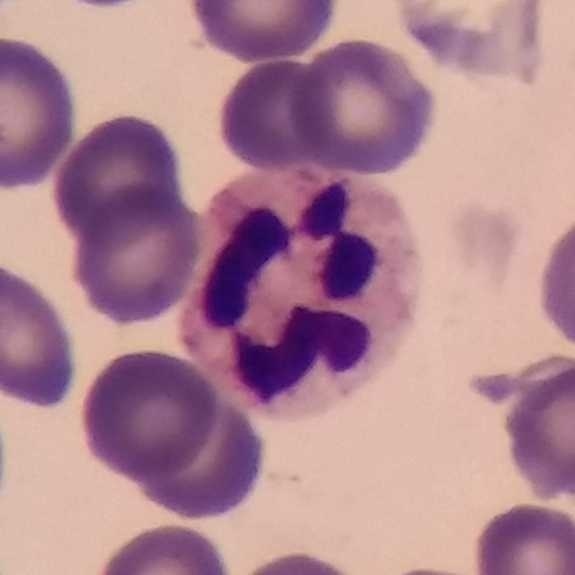

{"cell_type": "neutrophil"}